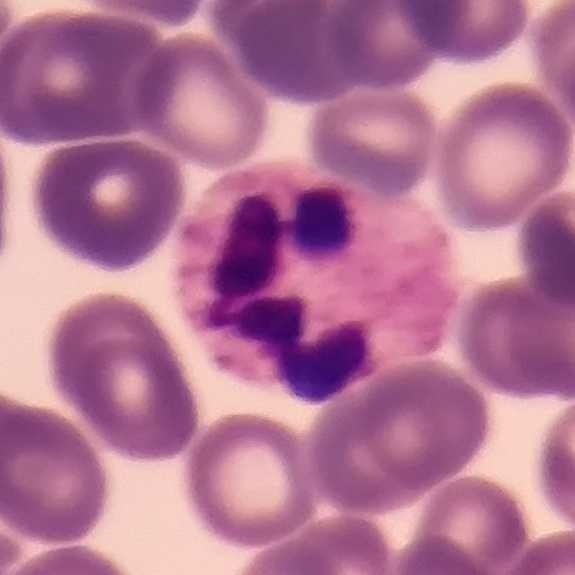
Context: Single-cell crop; 100× magnification.
Specimen: peripheral blood smear.
Cell: neutrophil granulocyte.
Lineage: myeloid.